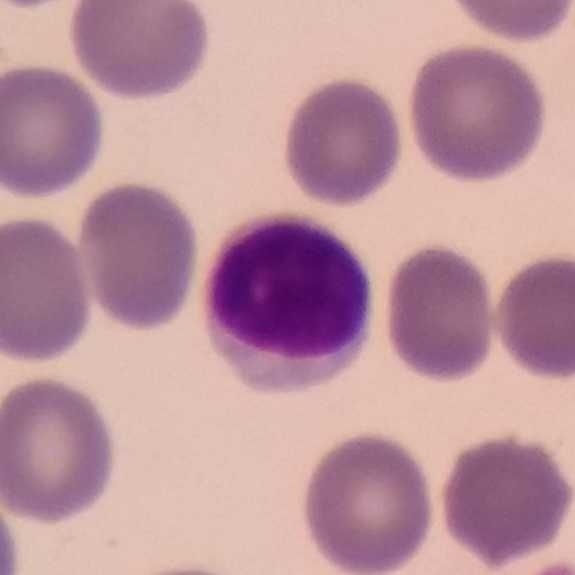 White blood cell type: lymphocyte. Context: Peripheral blood smear. Single-cell field. Photographed through a light microscope with a smartphone camera.